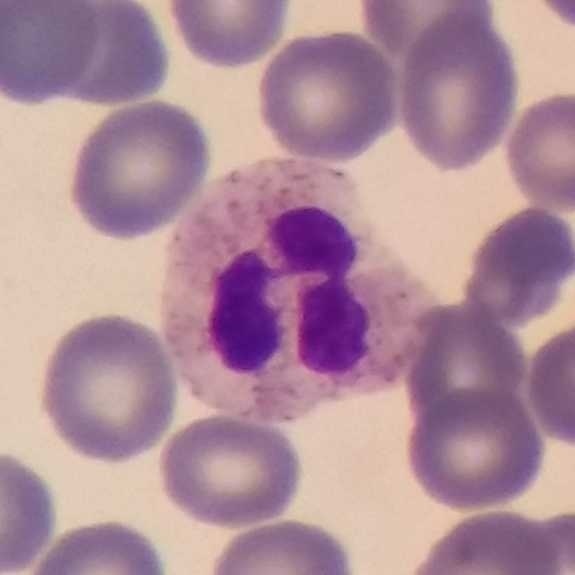Image: Peripheral blood smear.
The cell shown is a neutrophilic granulocyte.